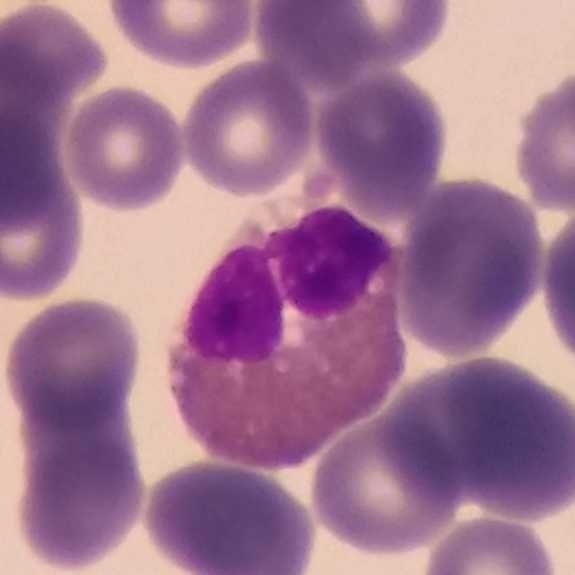
Identified as an eosinophil.